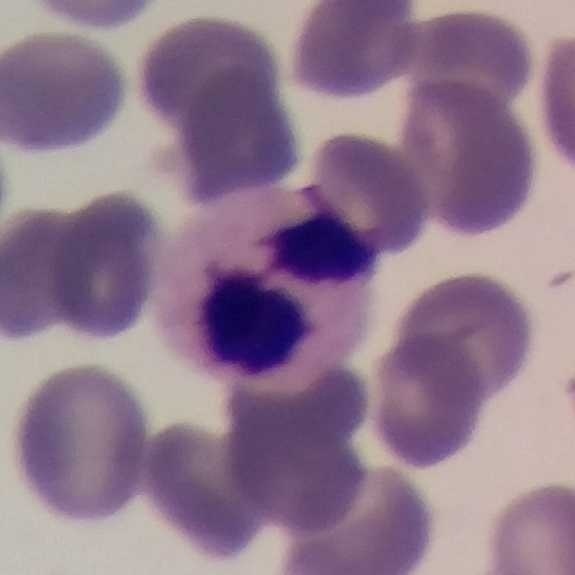
{"cell_type": "neutrophil granulocyte"}